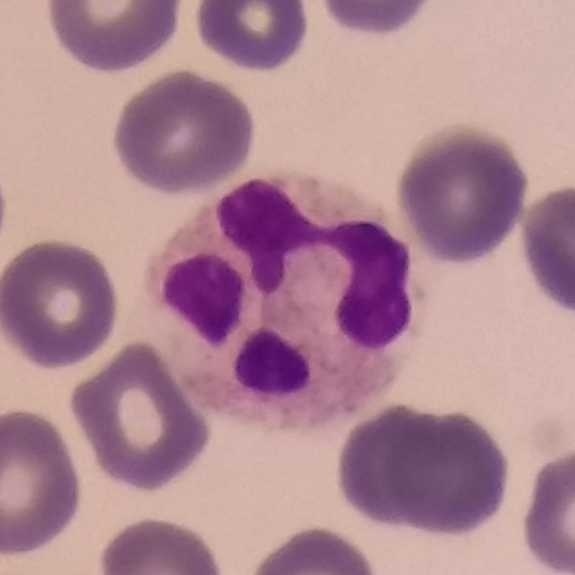 Cell = neutrophil.